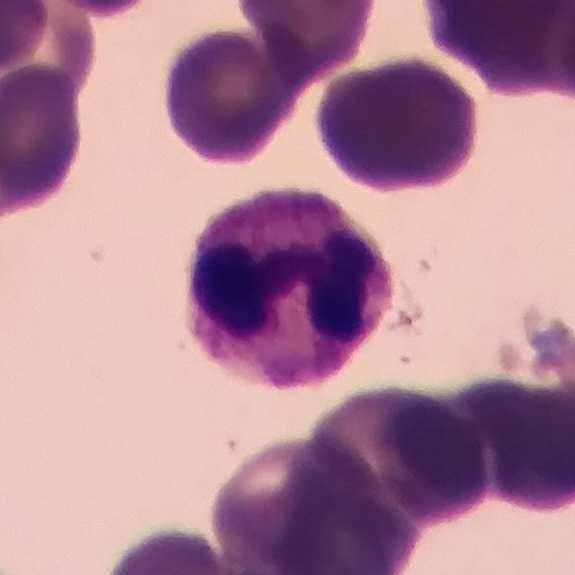 Image: Giemsa-stained.

Specimen: peripheral blood smear.
Classification: neutrophil granulocyte.
Lineage: myeloid.